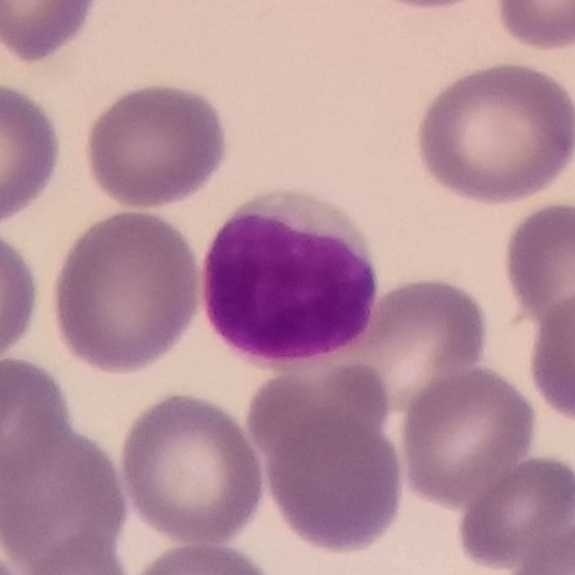
Peripheral blood smear.
The white blood cell in this image is a lymphocyte.